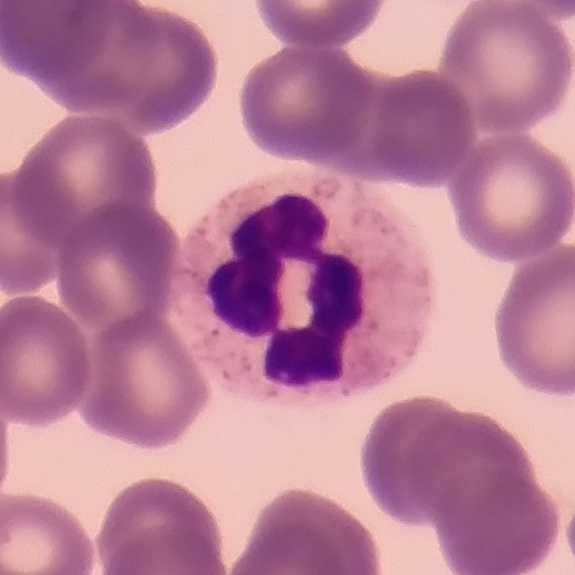Morphology — neutrophil granulocyte.
Single-cell field · peripheral blood smear.